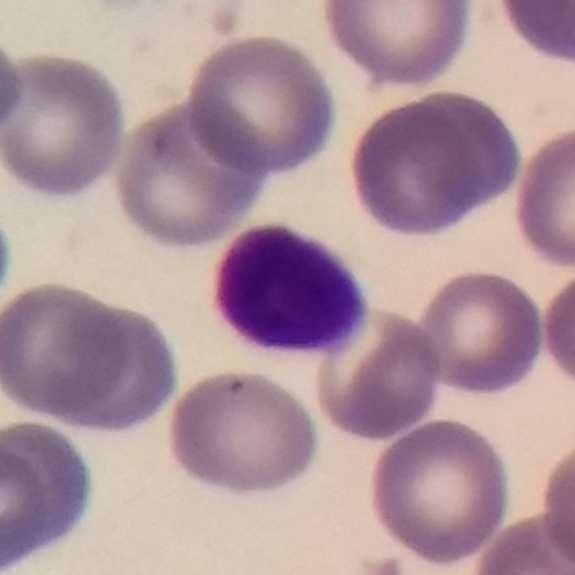

Showing a lymphocyte.
Peripheral blood film.